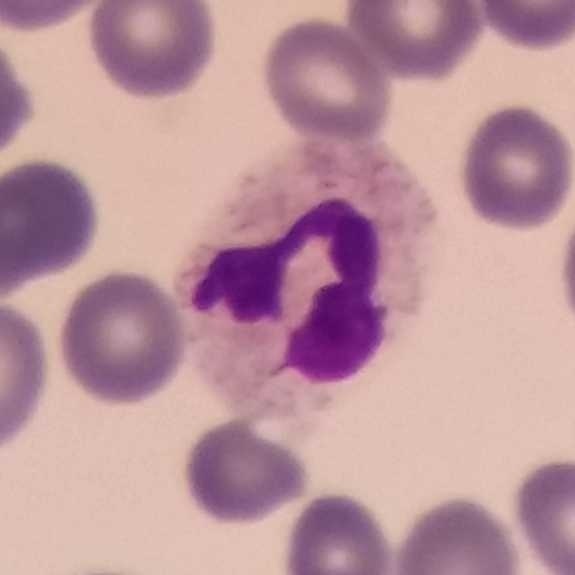 {"cell_type": "neutrophil", "lineage": "myeloid"} Preparation: Peripheral blood smear.